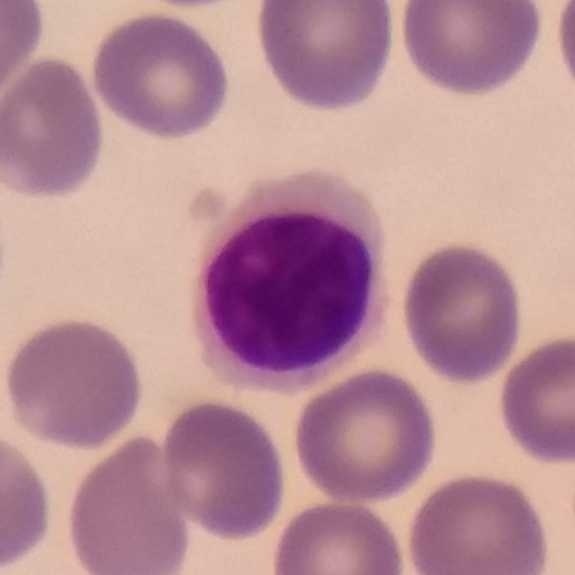 Preparation: Peripheral blood smear. White blood cell type: lymphocyte.